Peripheral blood film. 100× magnification.
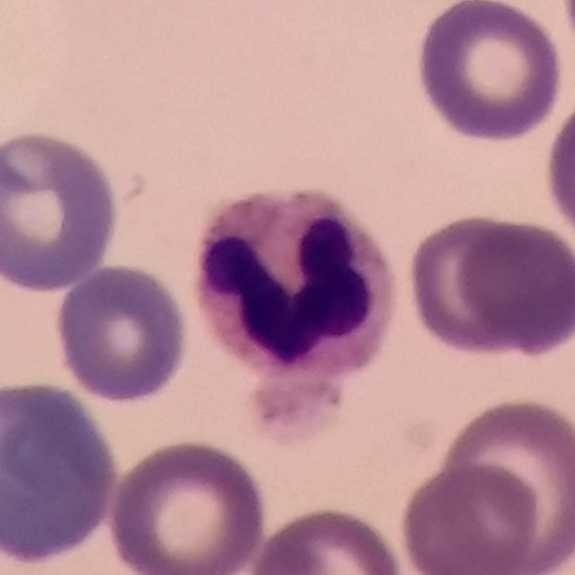

The cell shown is a neutrophil granulocyte.